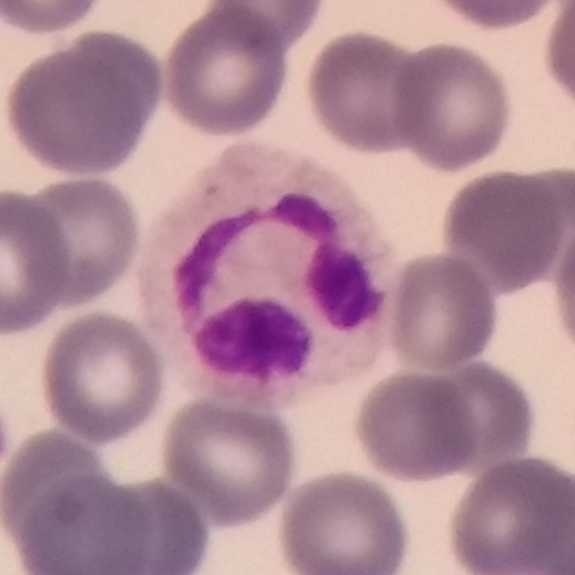Acquisition: Peripheral blood smear. {"cell_type": "neutrophil granulocyte", "lineage": "myeloid"}